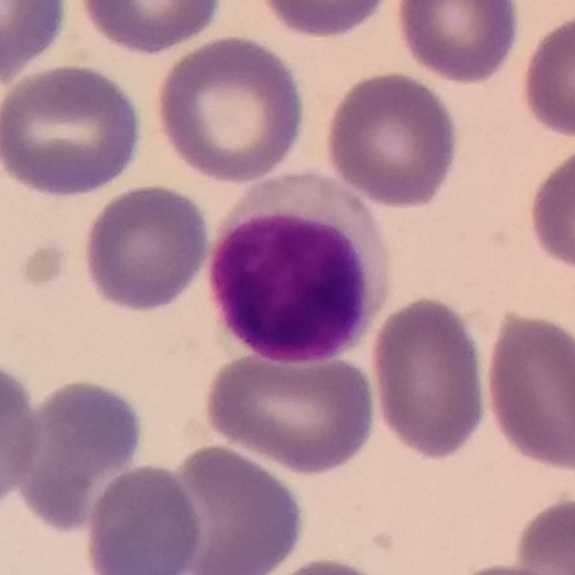

White blood cell from a peripheral blood smear: lymphocyte.